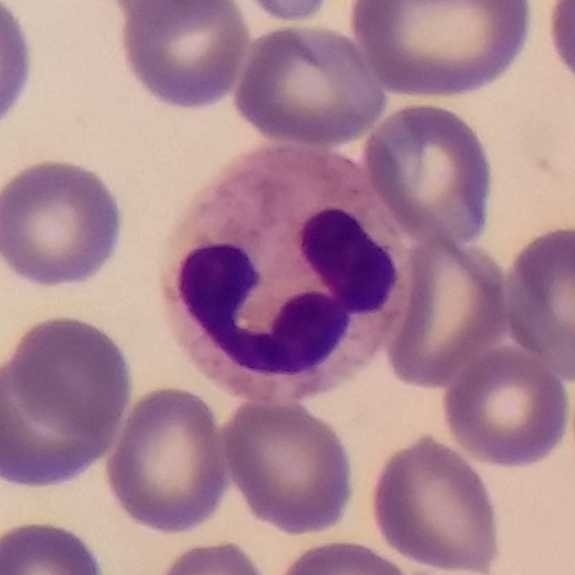White blood cell type: neutrophil granulocyte.